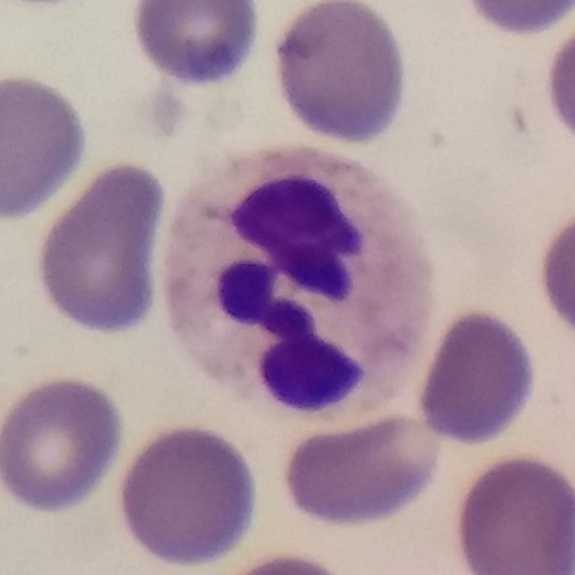 Showing a neutrophil.

Peripheral blood smear.